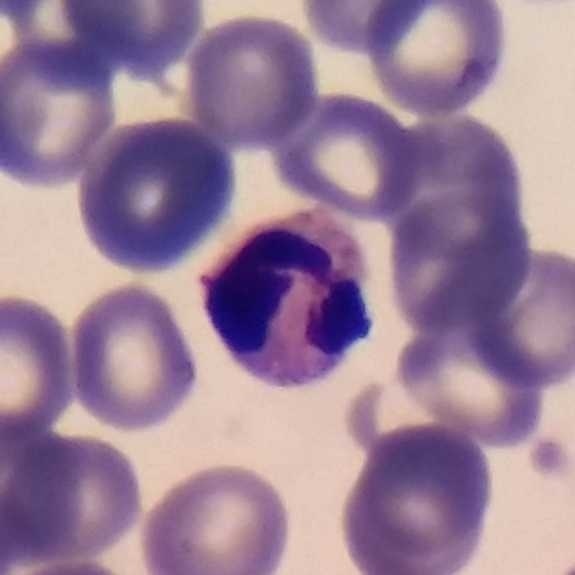
White blood cell type = neutrophil.